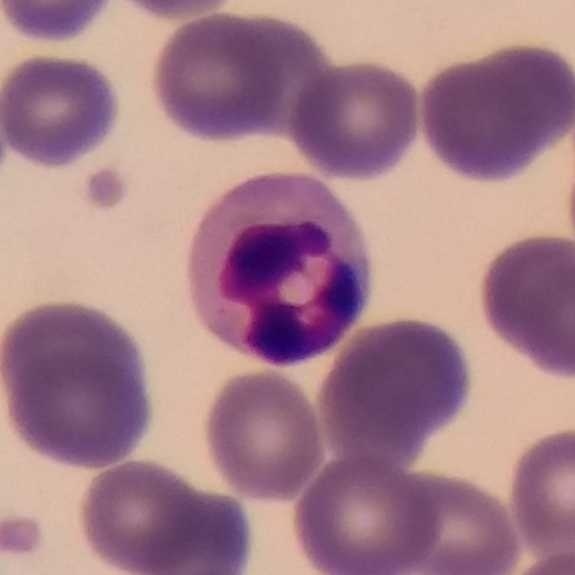

Showing a neutrophil. 100× magnification. Peripheral blood film. Giemsa-stained.